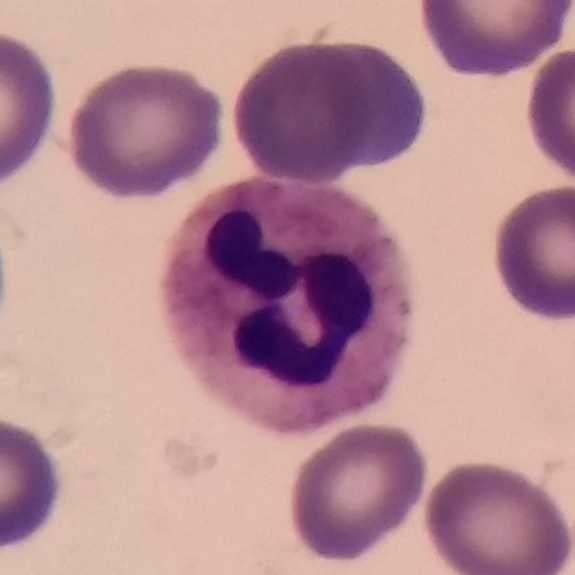 Phone-camera image taken through the microscope ocular; peripheral blood film. Morphology consistent with a neutrophil granulocyte.